Peripheral blood smear
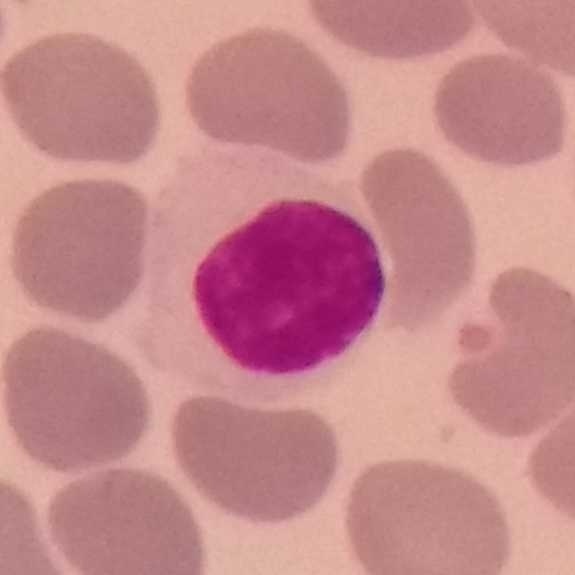
Morphological class — lymphocyte.